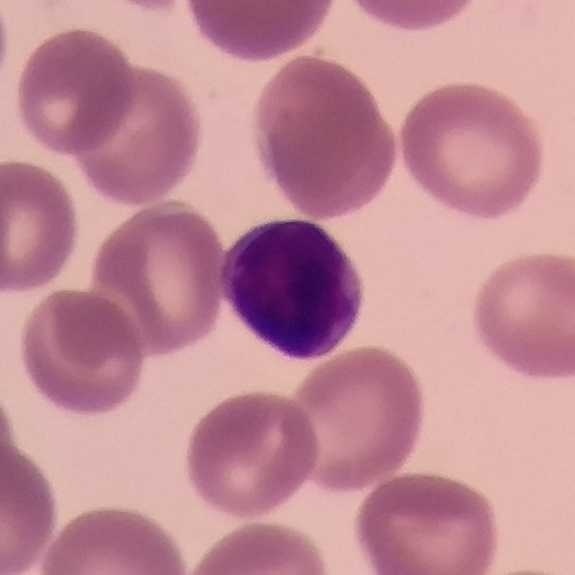Morphology consistent with a lymphocyte.